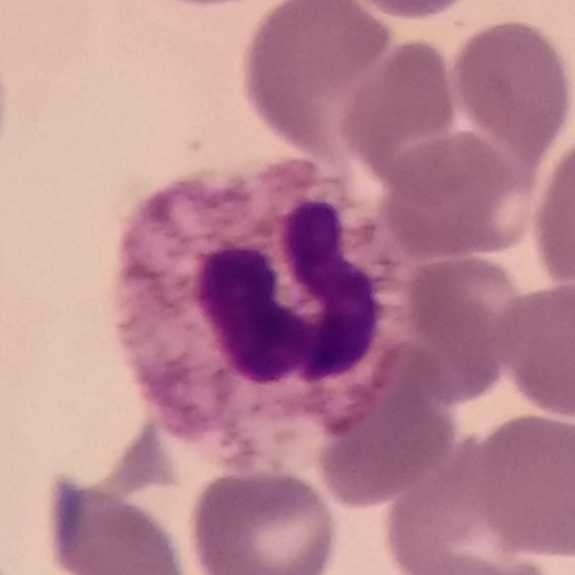Q: What is this?
A: This is a neutrophil.